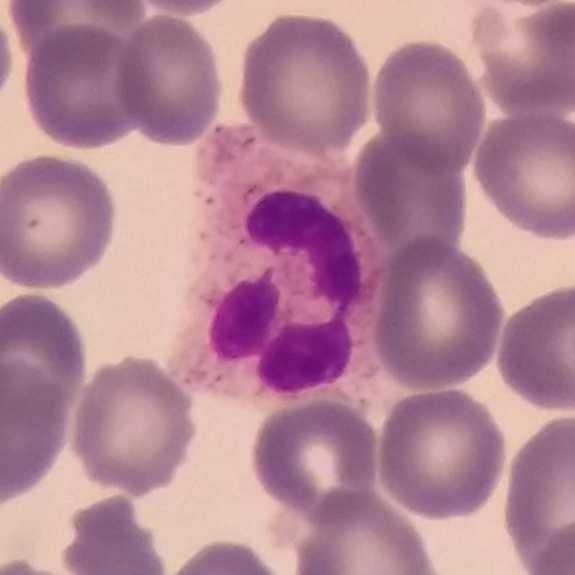

This is a neutrophilic granulocyte.

Peripheral blood smear.